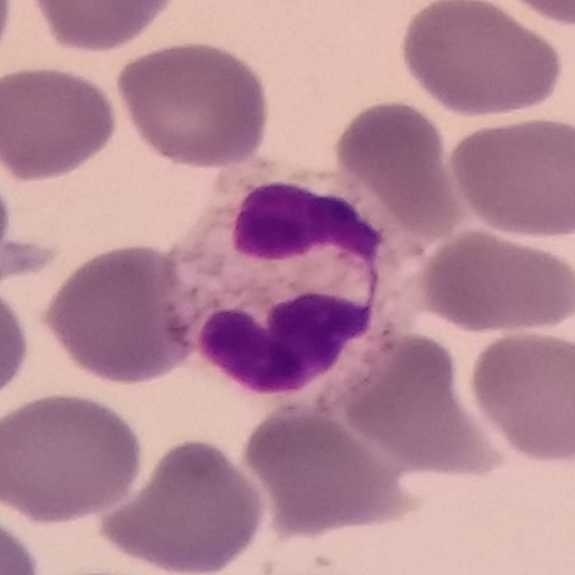 Cell type — neutrophilic granulocyte.
Stained with Giemsa; peripheral blood film; 575×575 px.